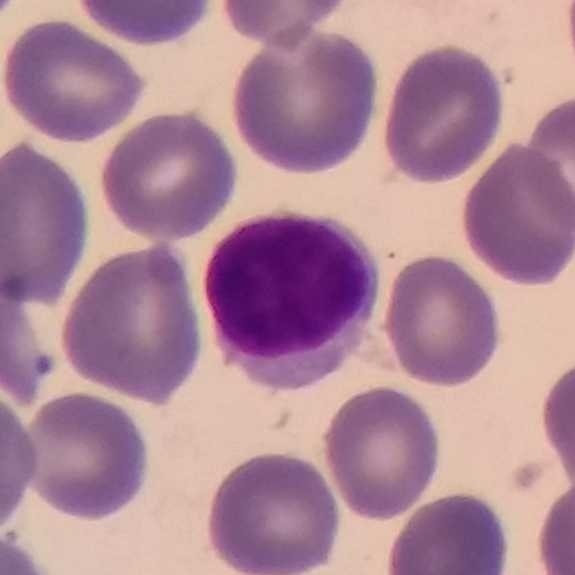 Peripheral blood film, single cell — lymphocyte.